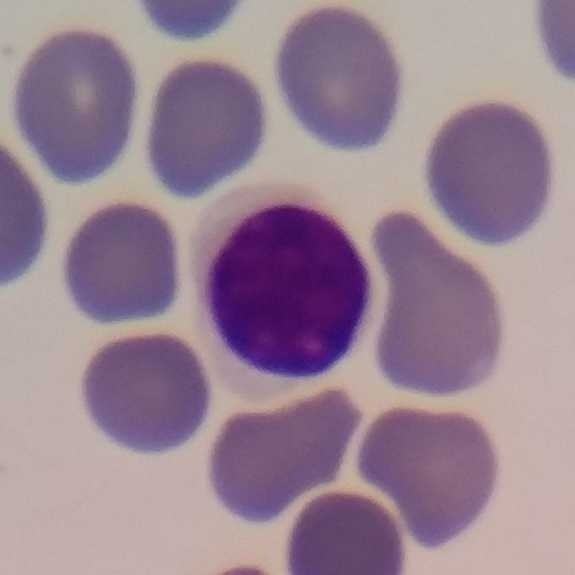

From a peripheral blood smear: a lymphocyte.